Peripheral blood film.
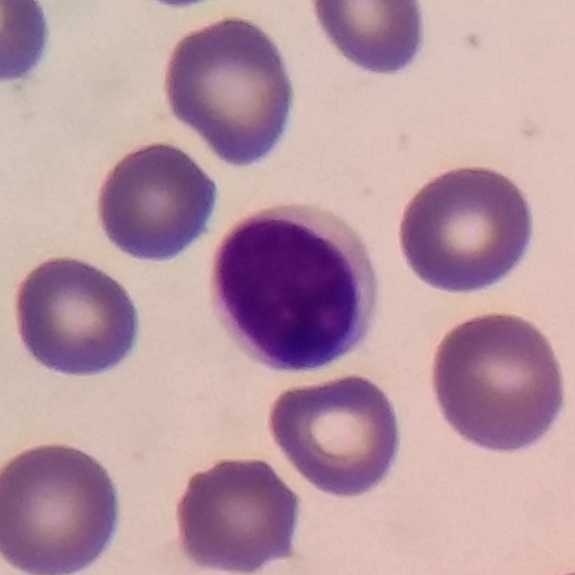The white blood cell in this image is a lymphocyte.